Peripheral blood smear.
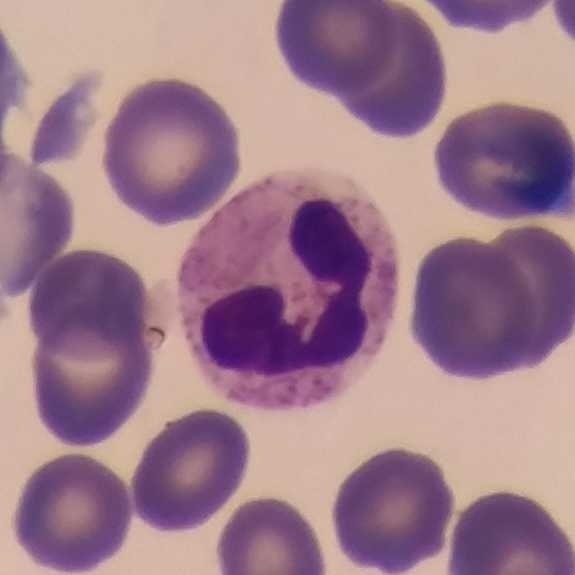
This is a neutrophilic granulocyte.